Peripheral blood film: 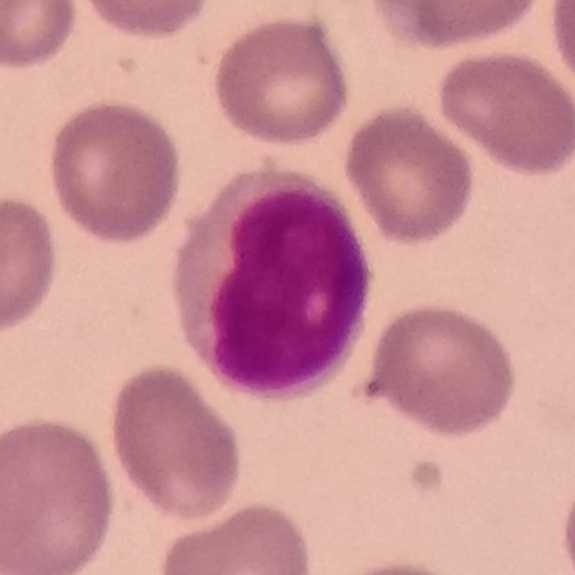
White blood cell type — lymphocyte.